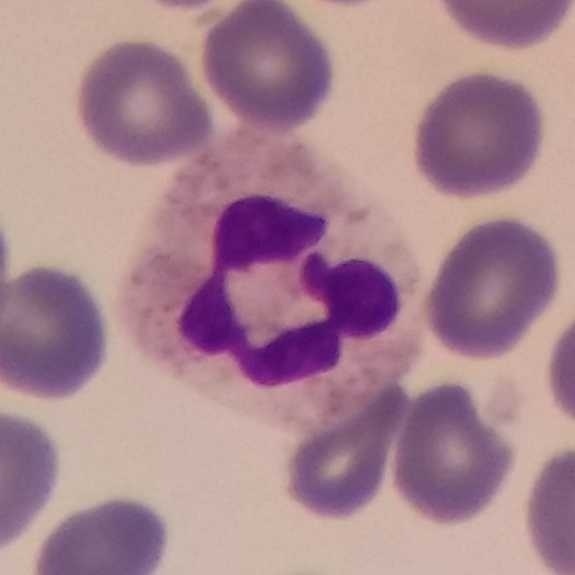 Single cell identified as a neutrophilic granulocyte.

Image: Peripheral blood smear.